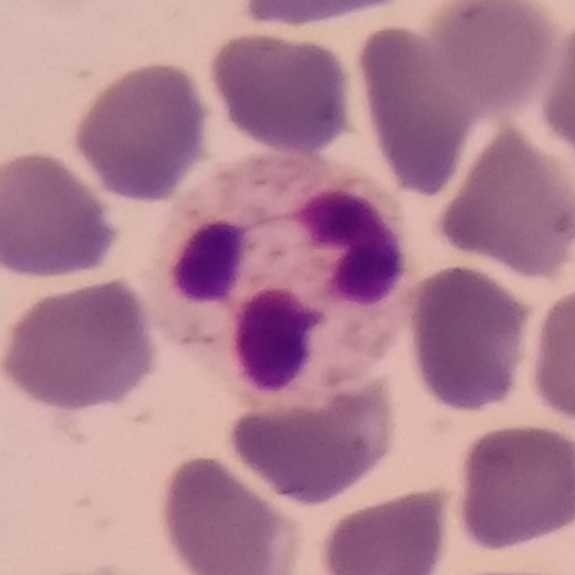Peripheral blood film.
Neutrophil granulocyte.